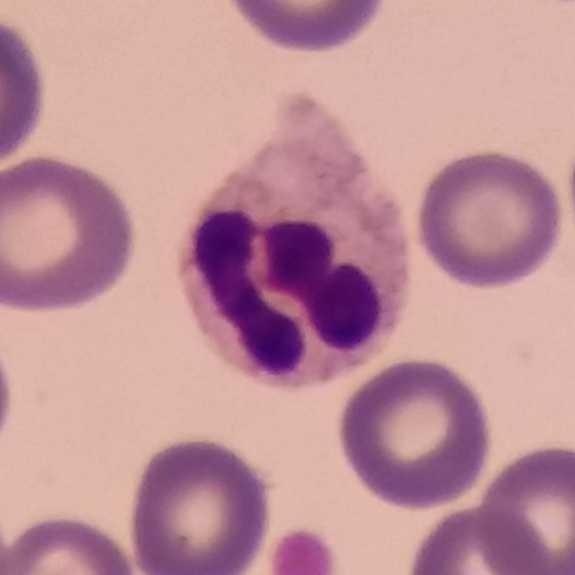 Peripheral blood film, single cell — neutrophil granulocyte.